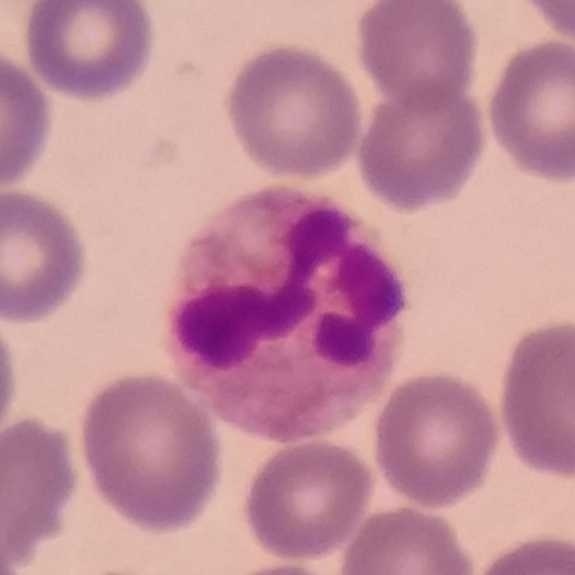

Acquisition: Peripheral blood film · single-cell field. Showing a neutrophil granulocyte.